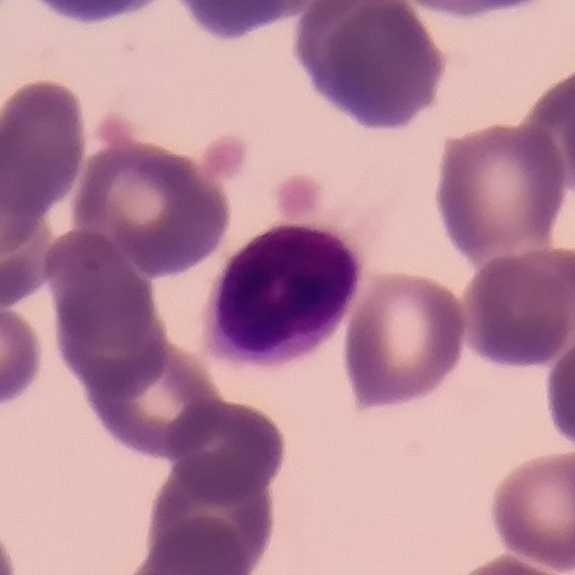
Image: 575×575 · peripheral blood film.
Impression → lymphocyte.